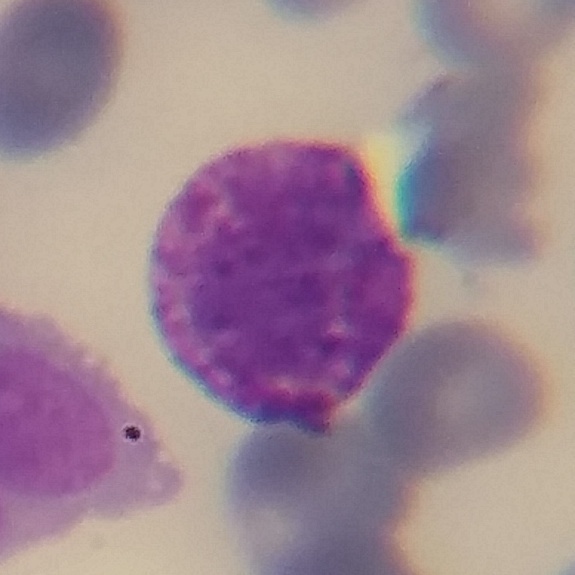
Cell: basophilic granulocyte.

Acquisition: Peripheral blood film · 575×575 px.